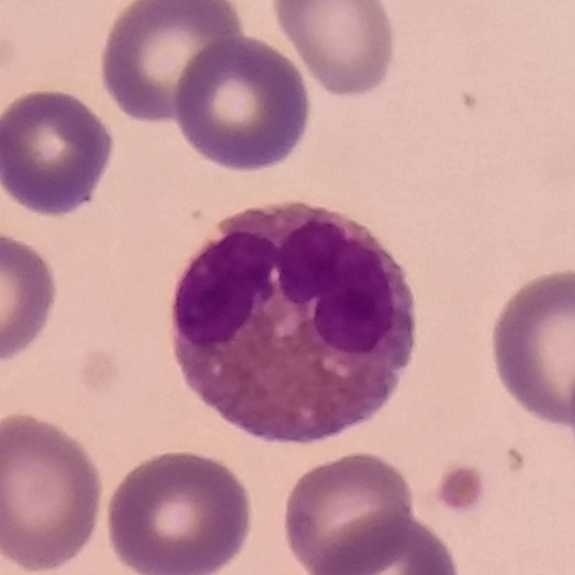

100× magnification. Peripheral blood smear.

The cell is eosinophilic granulocyte.